Peripheral blood smear: 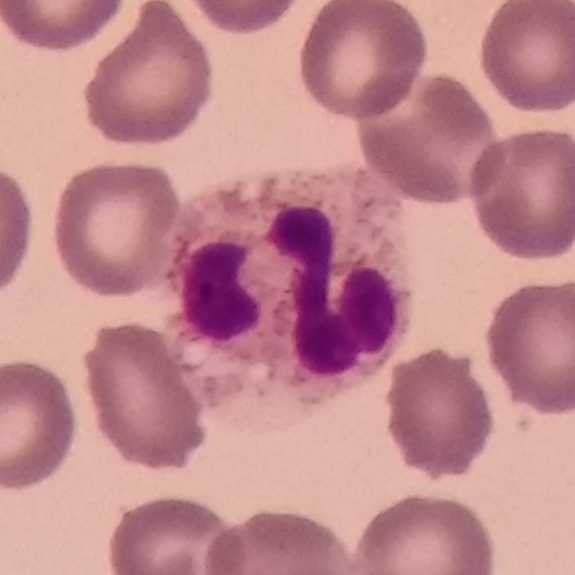 Q: What is the morphological classification of this cell?
A: It is a neutrophil.